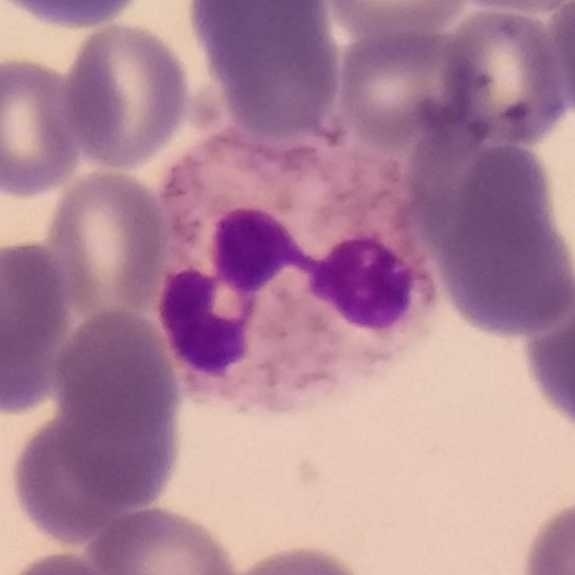

The white blood cell in this image is a neutrophil. Context: 575 by 575 pixels; peripheral blood smear.